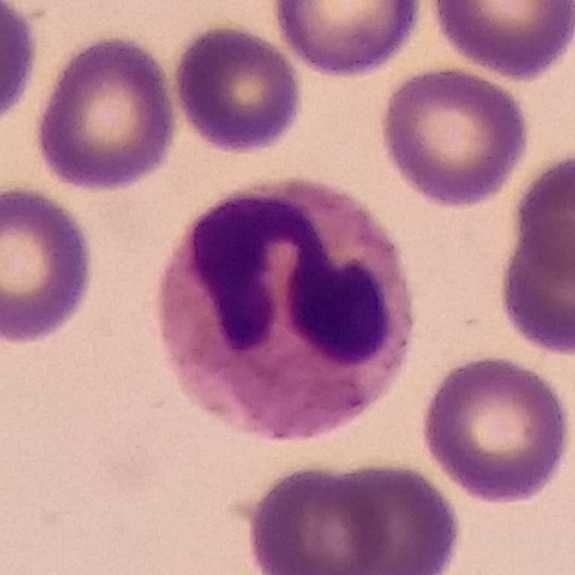Giemsa stain · peripheral blood film. {"cell_type": "neutrophil granulocyte"}